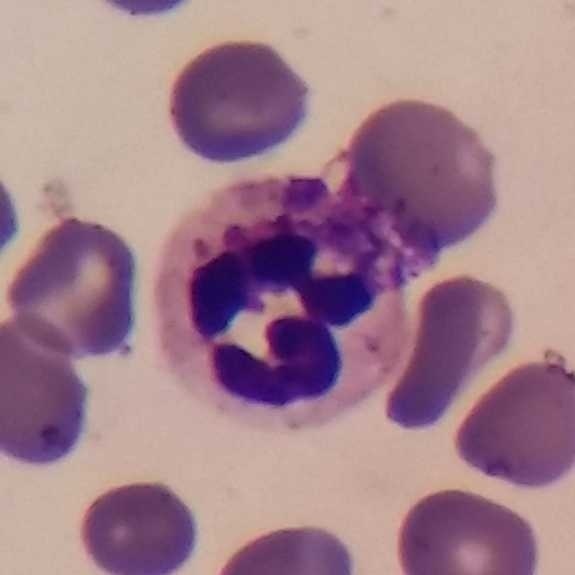 Specimen: peripheral blood smear.
Cell type: neutrophilic granulocyte.